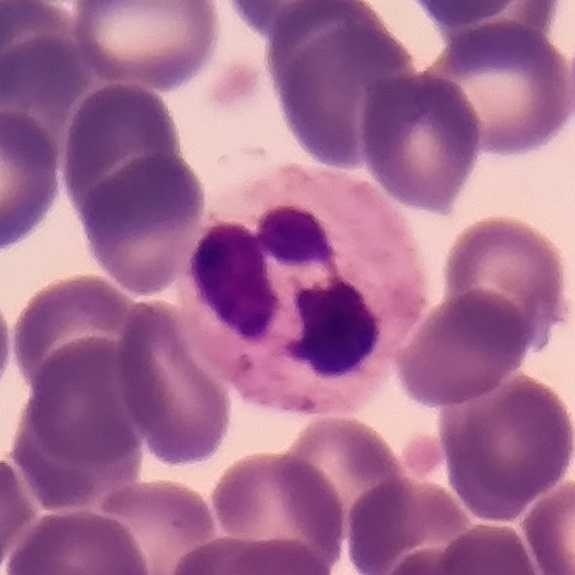
The cell is neutrophil granulocyte.